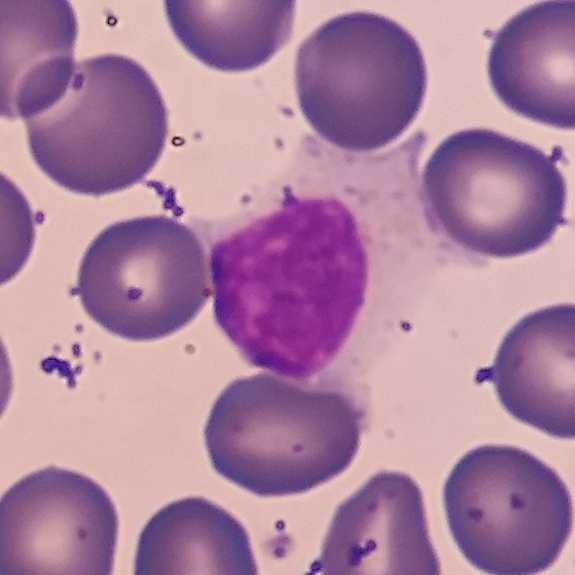

575×575 px; peripheral blood film; cropped to one leukocyte. Single cell identified as a lymphocyte.